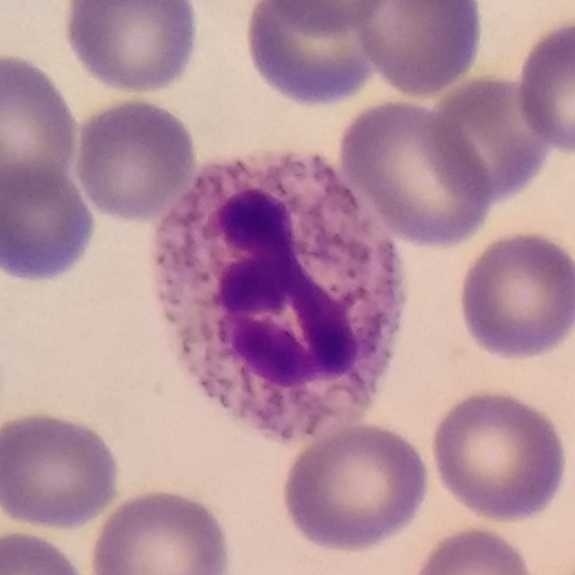
Specimen: peripheral blood film.
Classification: neutrophil granulocyte.